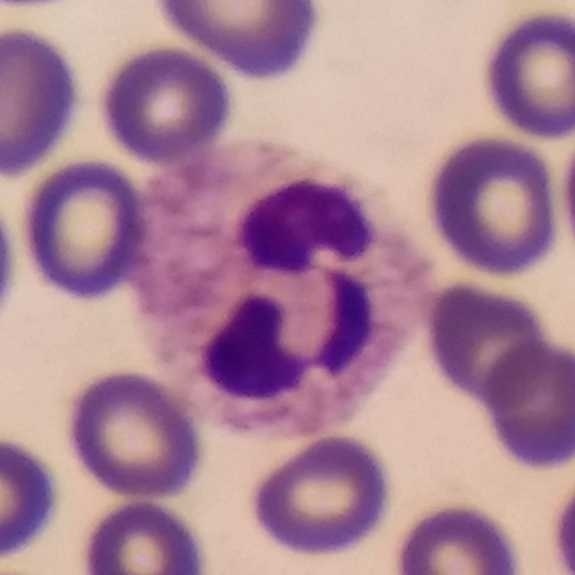

Q: Classify this leukocyte.
A: It is a neutrophil granulocyte.
Preparation: Peripheral blood smear.